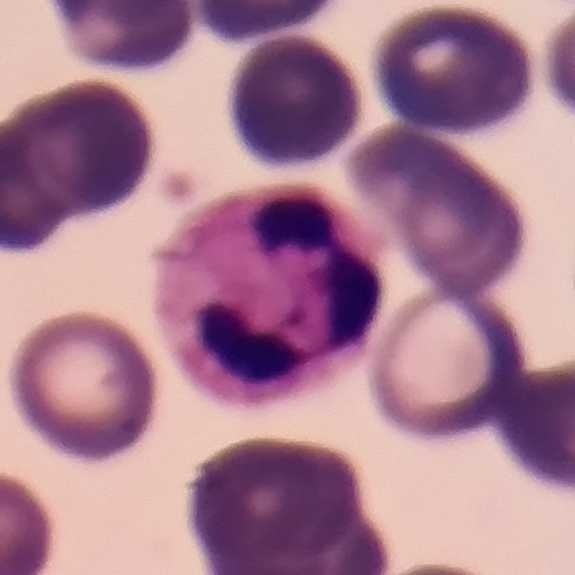Preparation: Peripheral blood smear. The cell shown is a neutrophil.